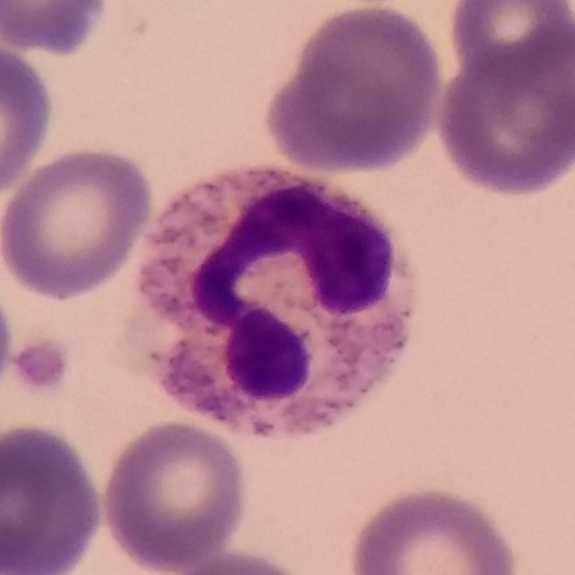

Morphology → neutrophil.